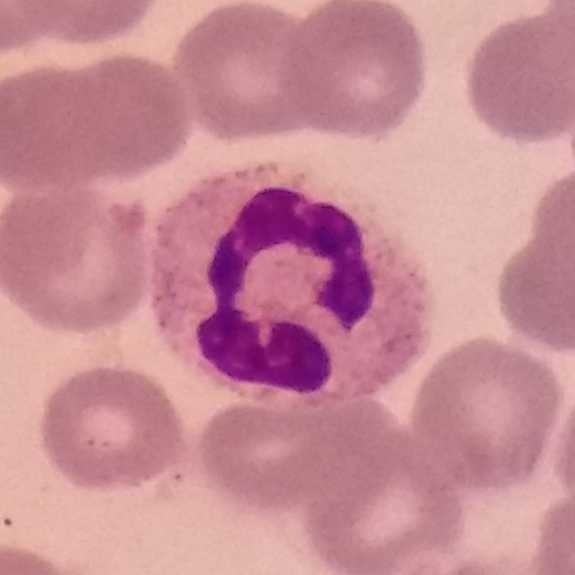

Image: Single-cell crop; peripheral blood smear.
A neutrophil granulocyte.